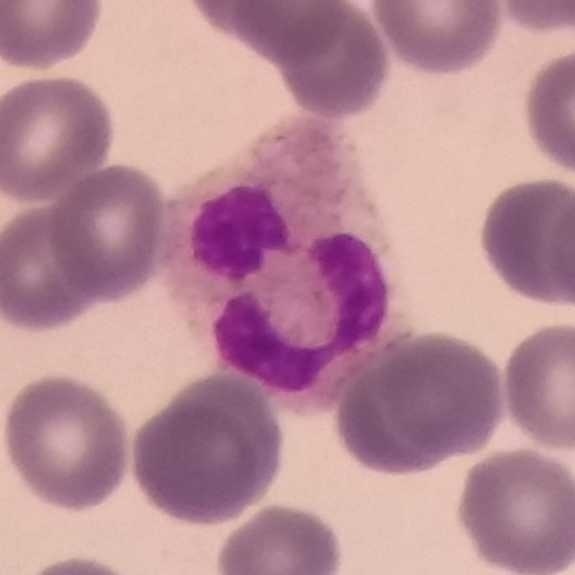

The cell shown is a neutrophil.